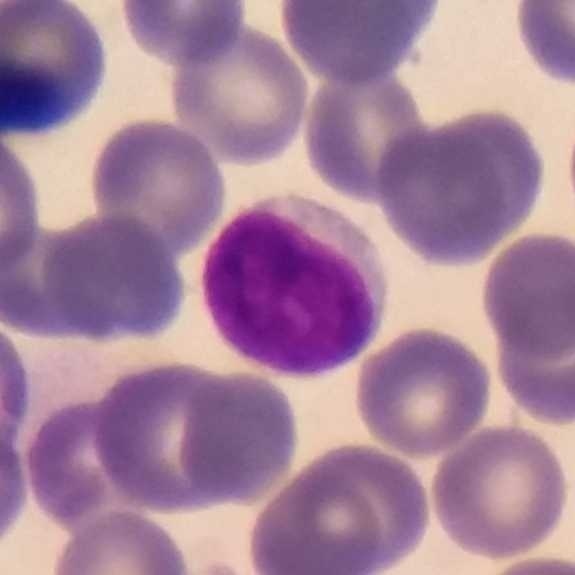 Classification — lymphocyte.

Preparation: Peripheral blood smear.